Smartphone photomicrograph · peripheral blood film · cropped to one leukocyte.
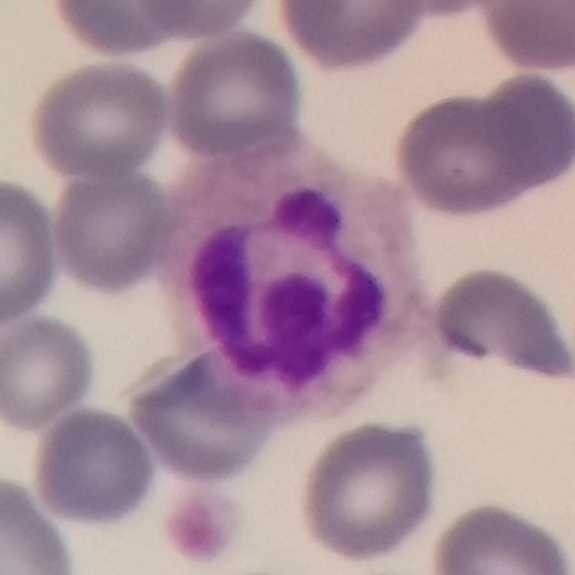 Specimen: peripheral blood film.
Cell type: neutrophil granulocyte.
Lineage: myeloid.